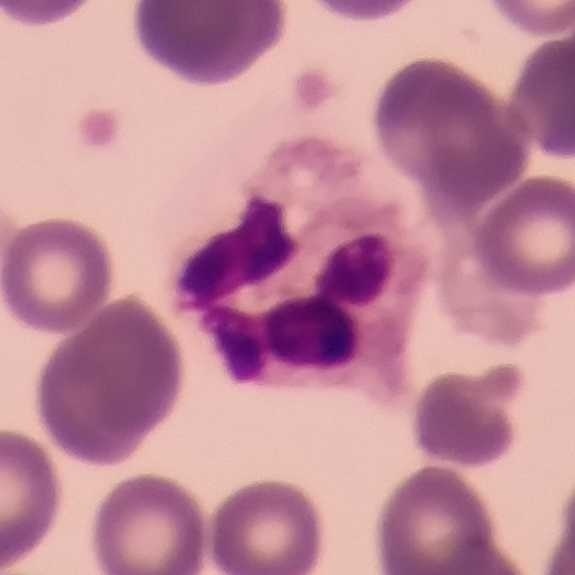A neutrophil.